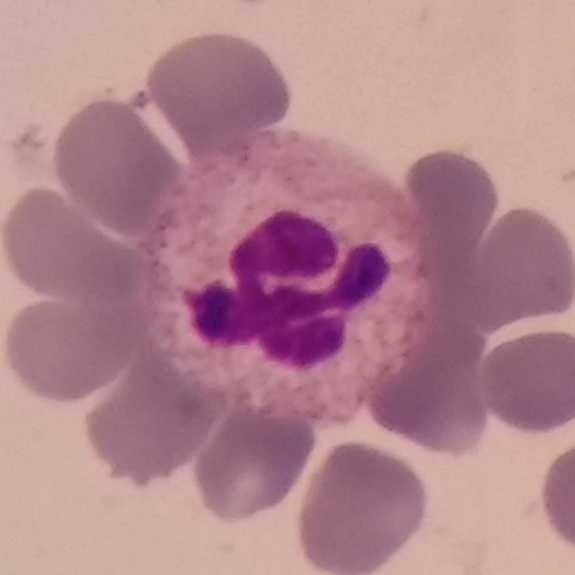

Morphological class — neutrophilic granulocyte.